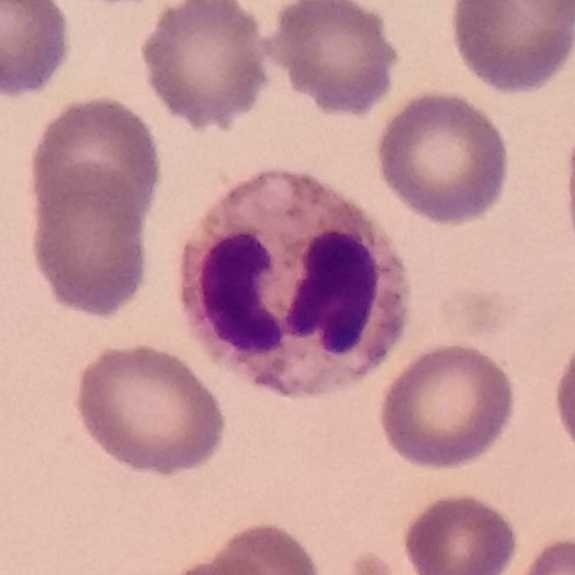

Peripheral blood smear.
White blood cell type — neutrophilic granulocyte.